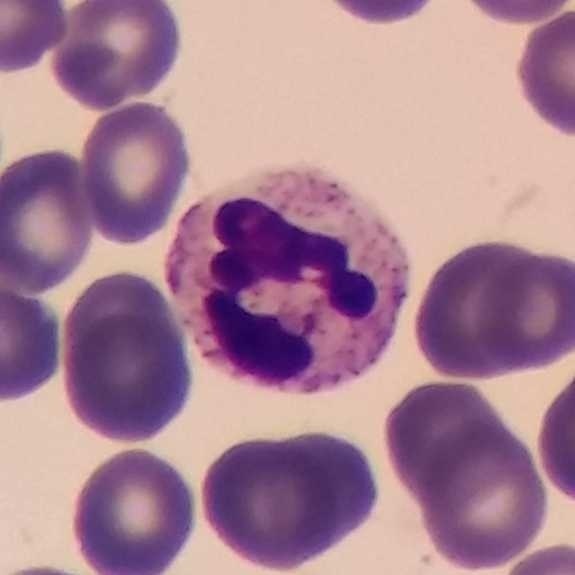Morphological class: neutrophilic granulocyte. Context: 100× magnification. Cropped to one leukocyte. Peripheral blood film.